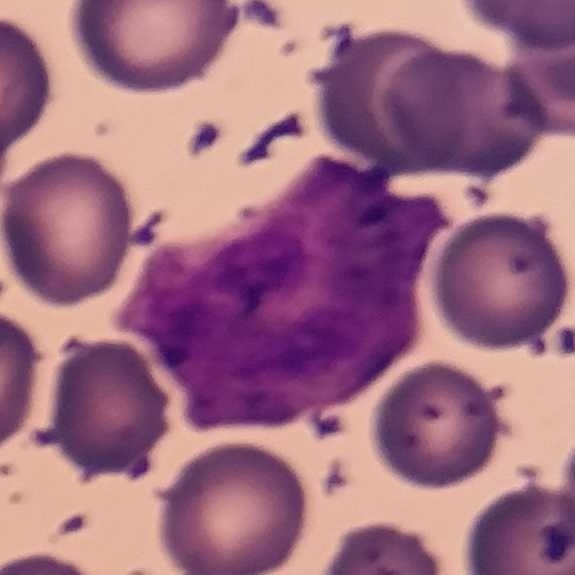
Acquisition: Peripheral blood film.

The white blood cell in this image is a neutrophilic granulocyte.